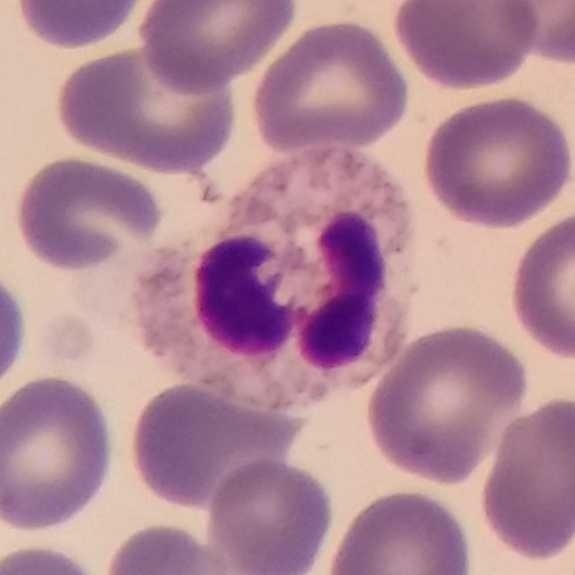
Neutrophilic granulocyte.

Preparation: Peripheral blood smear.